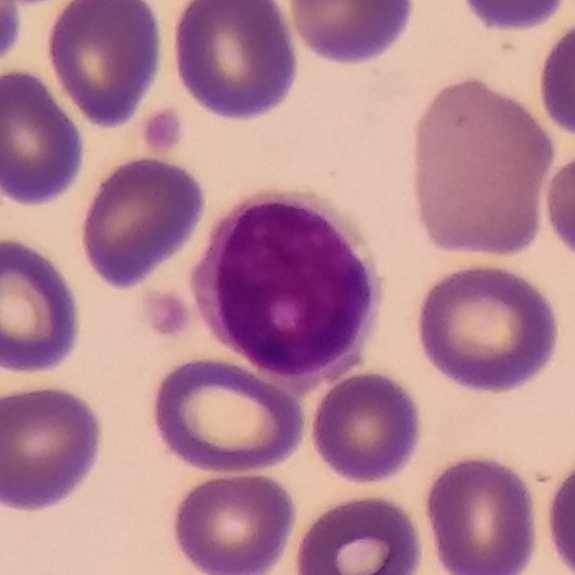

Specimen: peripheral blood film.
Cell: lymphocyte.